Single-cell field; peripheral blood film:
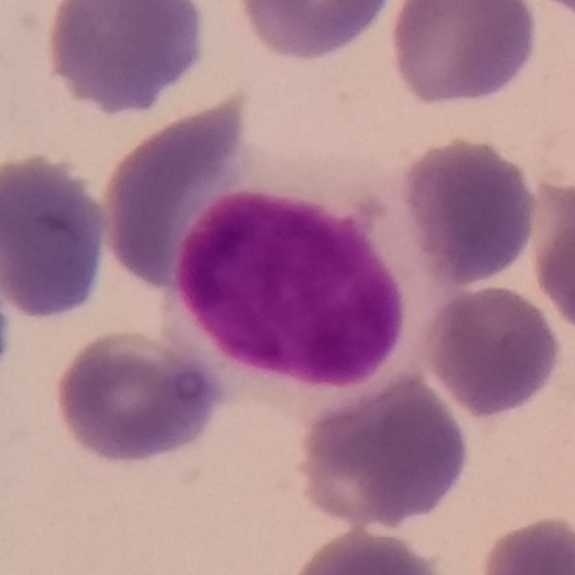The white blood cell type is lymphocyte.